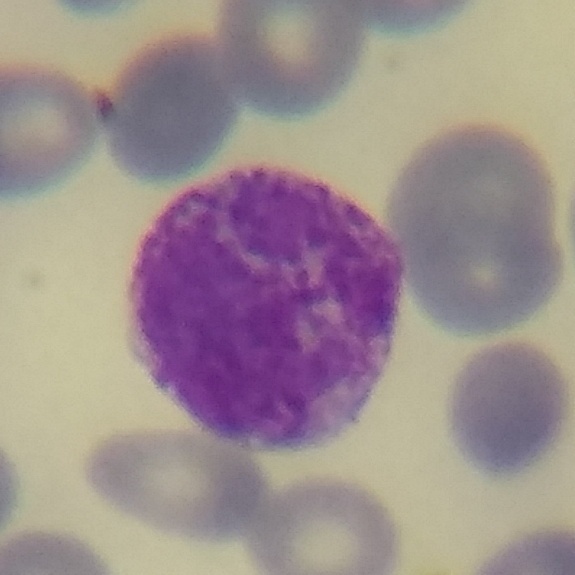Q: What is the morphological classification of this cell?
A: Basophil.
Preparation: Smartphone camera mounted on the microscope eyepiece; peripheral blood smear; cropped to one leukocyte.